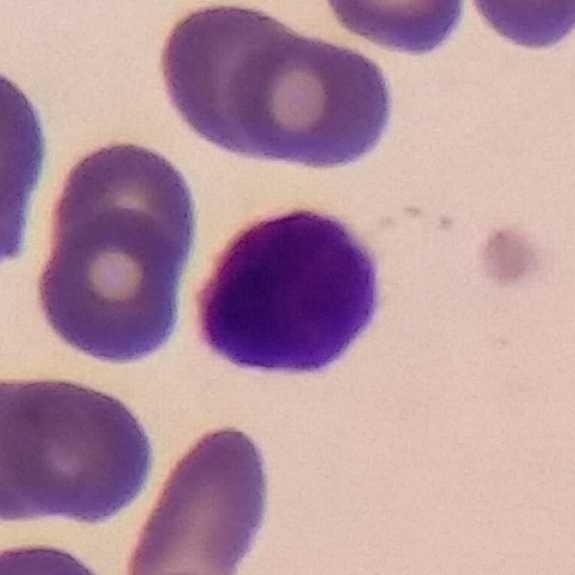
Classification = lymphocyte. Peripheral blood smear.